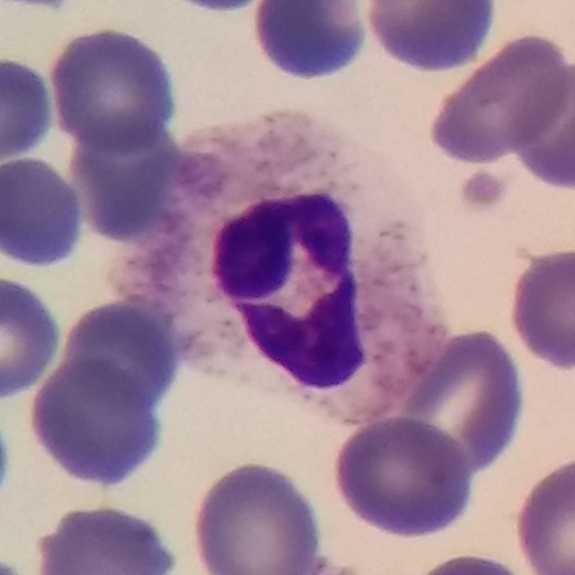 Context: 575×575 px. Specimen: peripheral blood smear.
White blood cell type: neutrophilic granulocyte.
Lineage: myeloid.